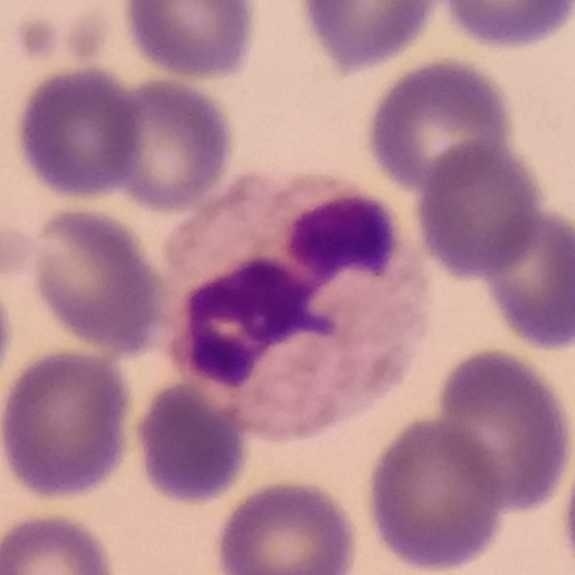 Cell = neutrophilic granulocyte. Peripheral blood film.